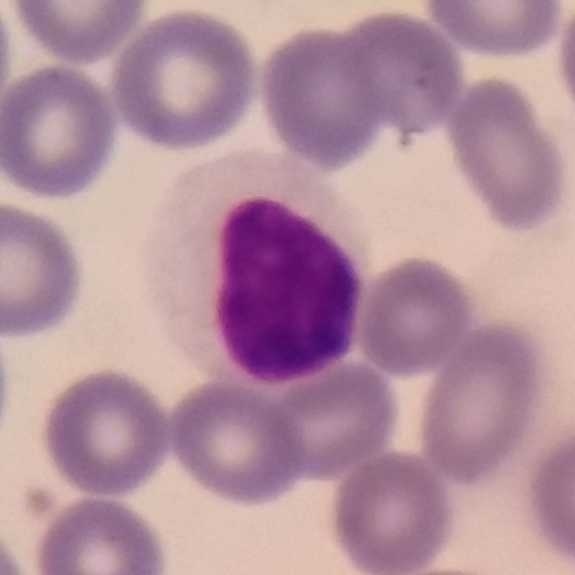Acquisition: Peripheral blood smear.

The cell shown is a lymphocyte.